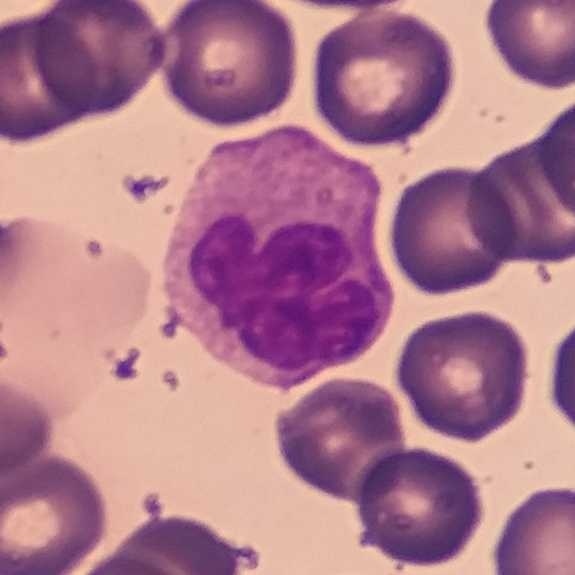

Specimen: peripheral blood smear.
Morphological class: monocyte.